Peripheral blood smear: 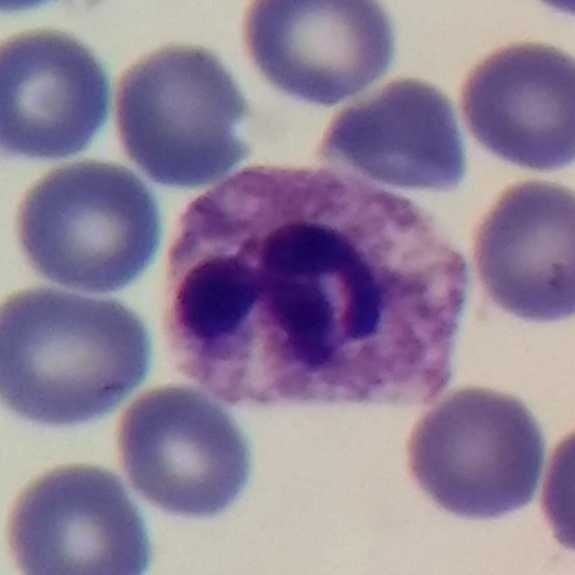 Identified as a neutrophil granulocyte.